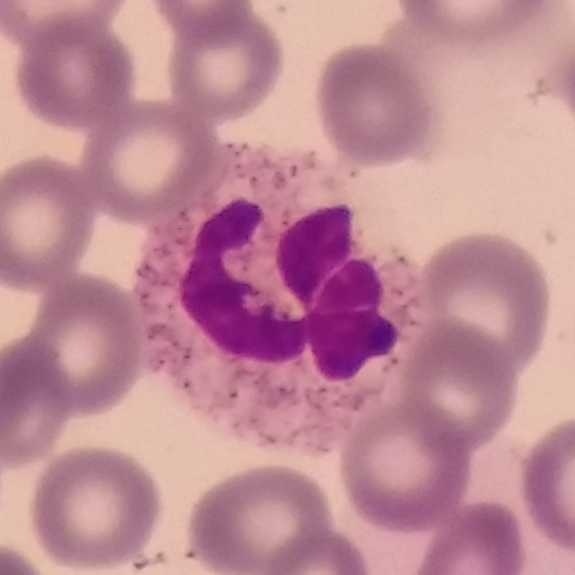
Morphology consistent with a neutrophil granulocyte.
Peripheral blood film.